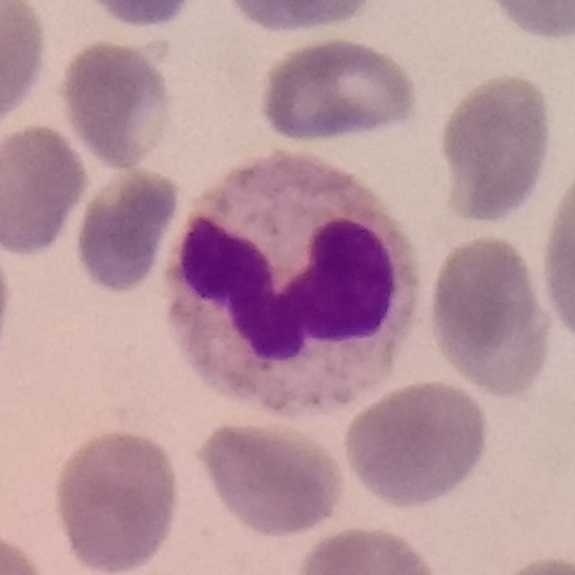
Peripheral blood film, single cell — neutrophil granulocyte.